Peripheral blood film; cropped to one leukocyte — 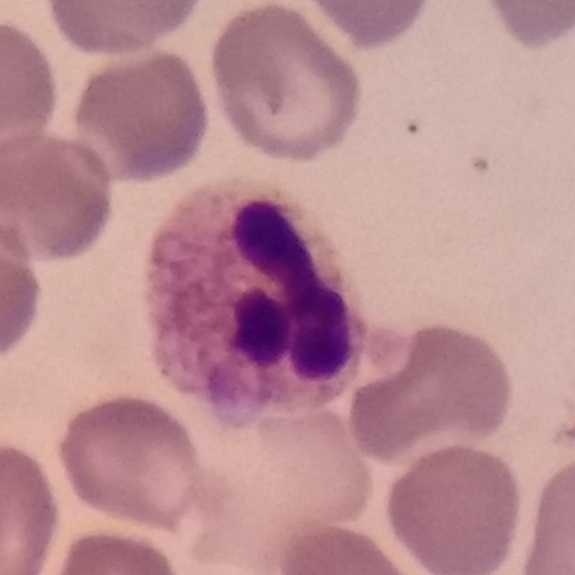Morphology — neutrophilic granulocyte.